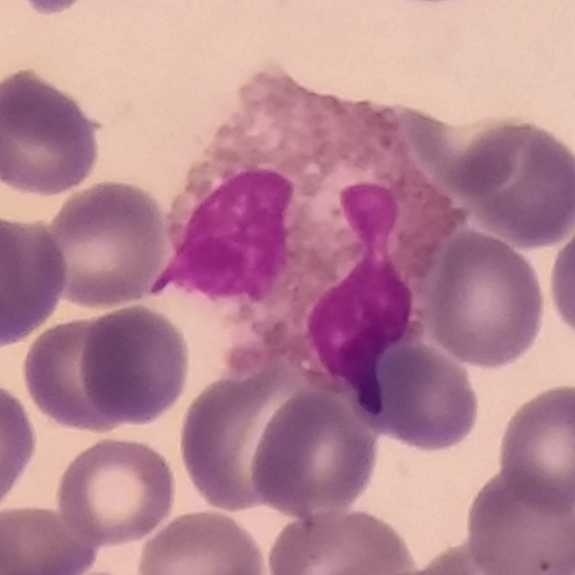

An eosinophil.